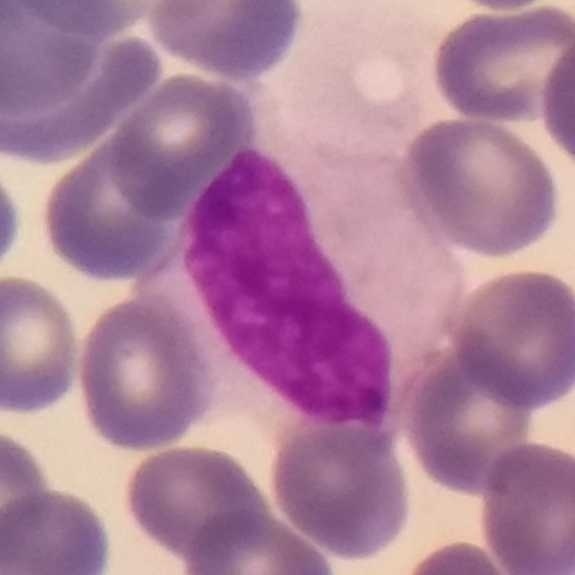
Image: Peripheral blood film.

Q: Which type of white blood cell is this?
A: Monocyte.